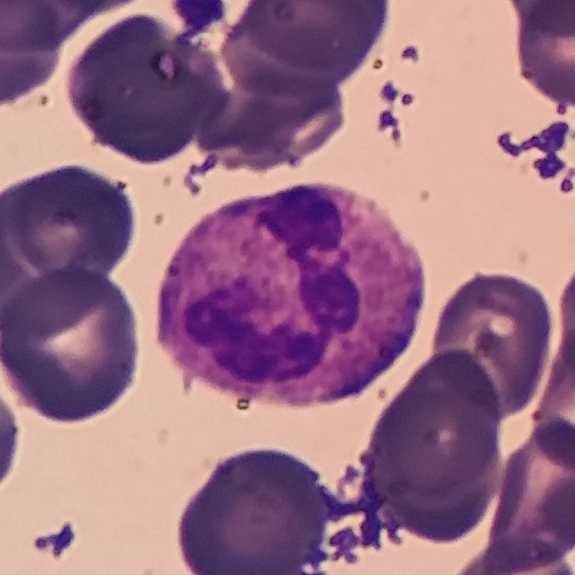Specimen: peripheral blood smear.
Classification: neutrophil.
Lineage: myeloid.